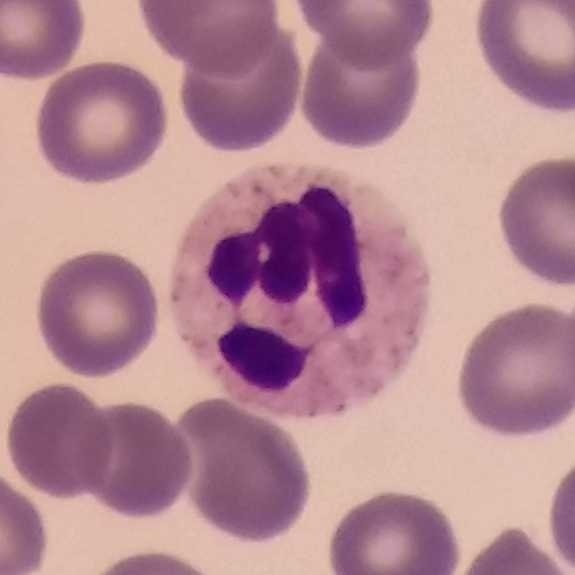
Preparation: Giemsa-stained. Peripheral blood film.
A neutrophil granulocyte.